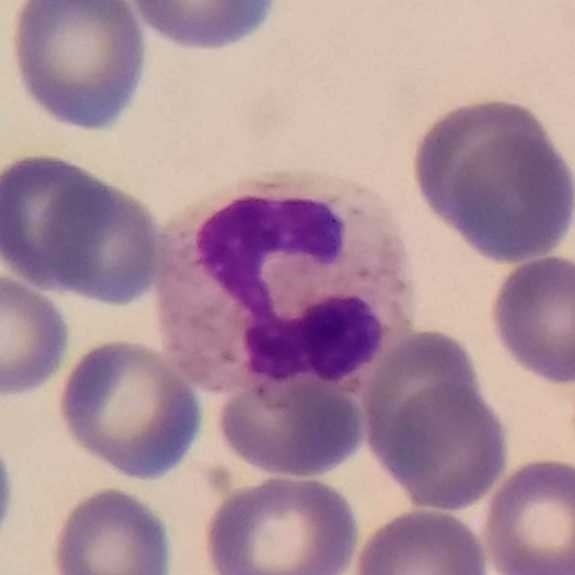
Q: What is shown here?
A: Neutrophil granulocyte. Context: Peripheral blood film.